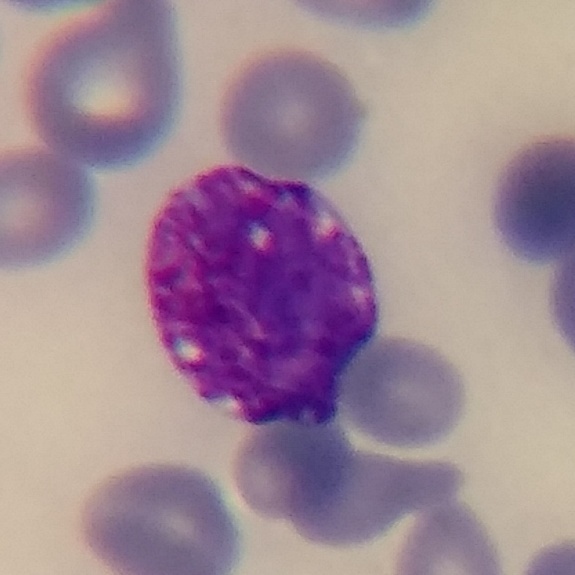
Peripheral blood film.

Q: Classify this leukocyte.
A: A basophilic granulocyte.